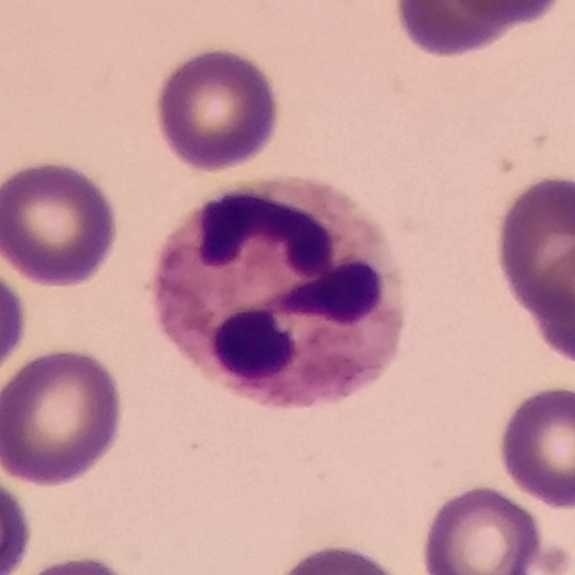

Peripheral blood smear.

Morphology → neutrophil.